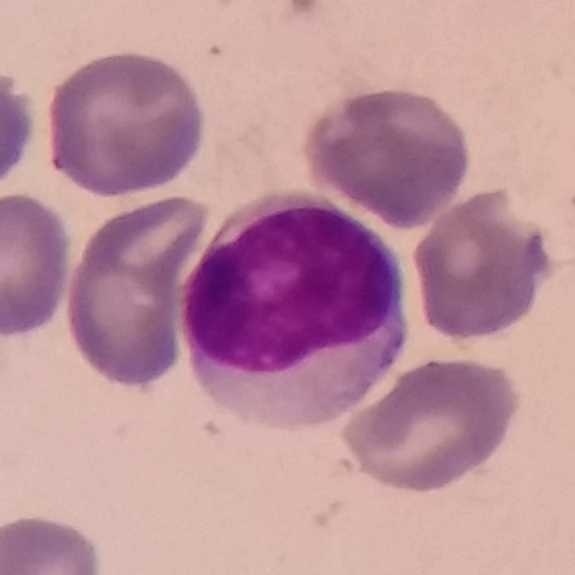Preparation: Peripheral blood film. Q: Which type of white blood cell is this?
A: It is a lymphocyte.